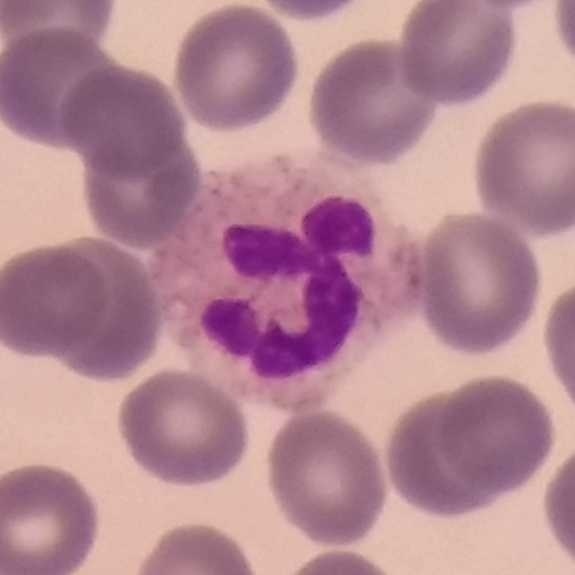

Specimen: peripheral blood smear.
White blood cell type: neutrophil.
Lineage: myeloid.
Preparation: Giemsa-stained.